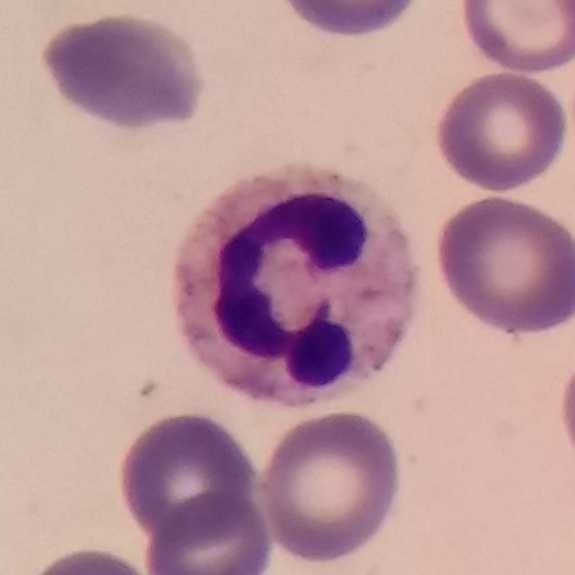Context: Peripheral blood smear.

Classification: neutrophilic granulocyte.